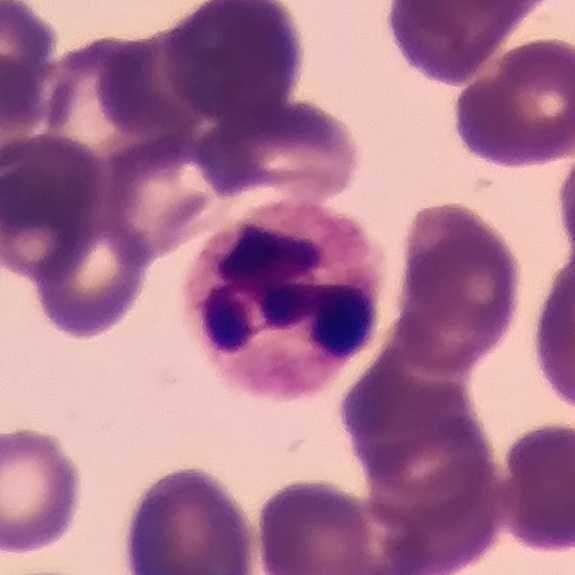 White blood cell type — neutrophil granulocyte.
Context: Single white blood cell cropped from the smear photograph. 100× magnification. Peripheral blood film.